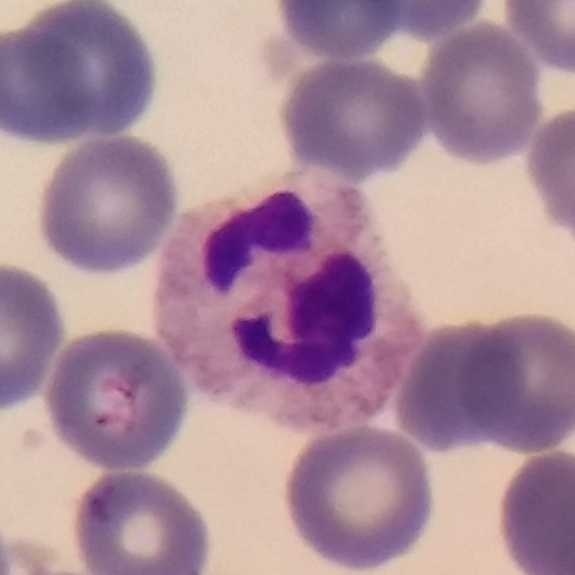Impression — neutrophil granulocyte.